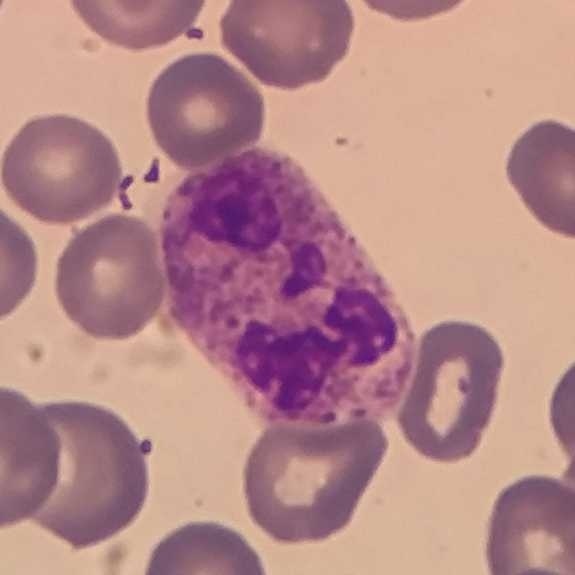

Cell: neutrophil.
Acquisition: Peripheral blood smear.